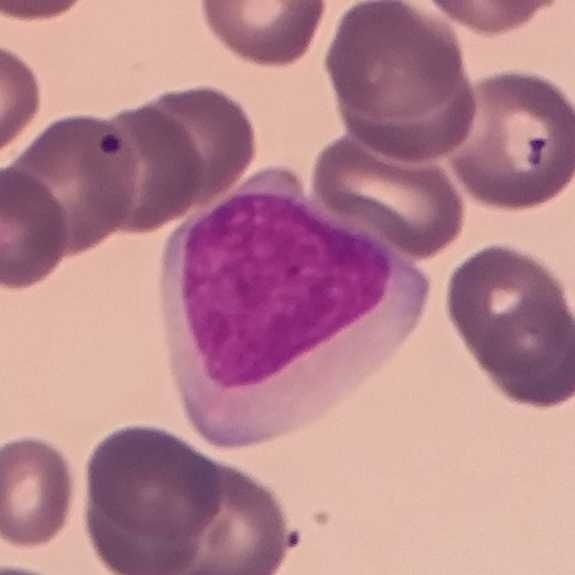Specimen: peripheral blood smear.
White blood cell type: lymphocyte.